Peripheral blood film:
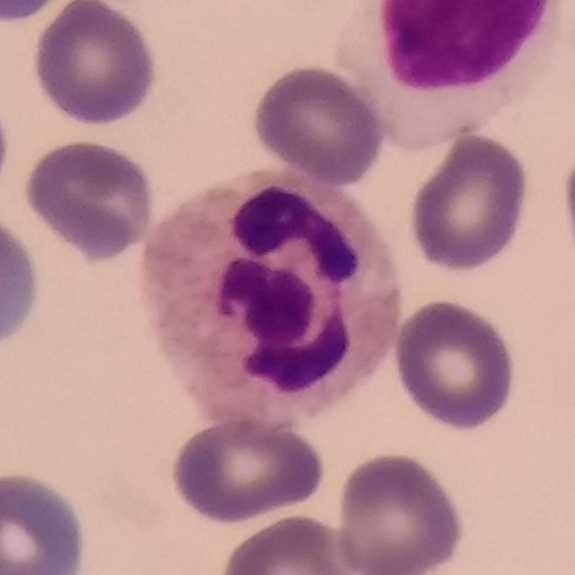

Identified as a neutrophilic granulocyte.